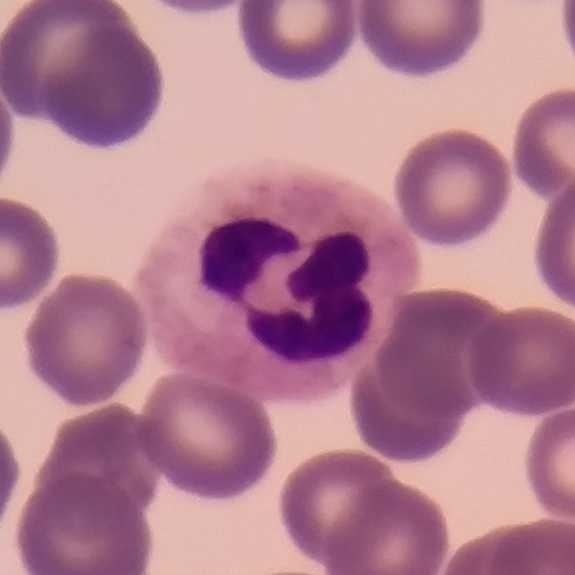Q: Which type of white blood cell is this?
A: This is a neutrophil granulocyte.
Peripheral blood smear.